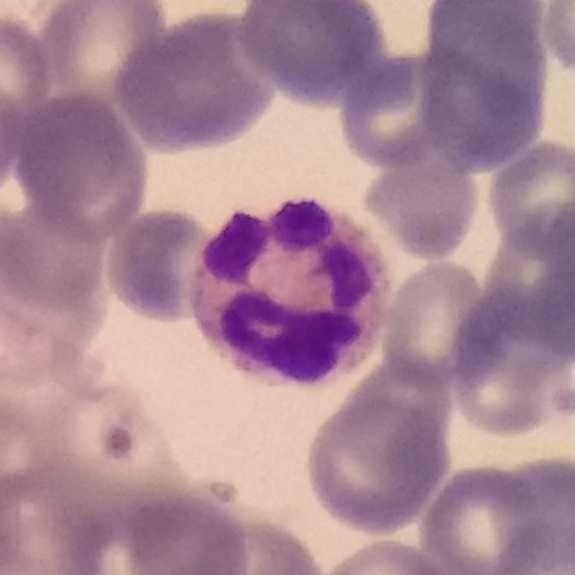

Showing a neutrophil.